Peripheral blood smear: 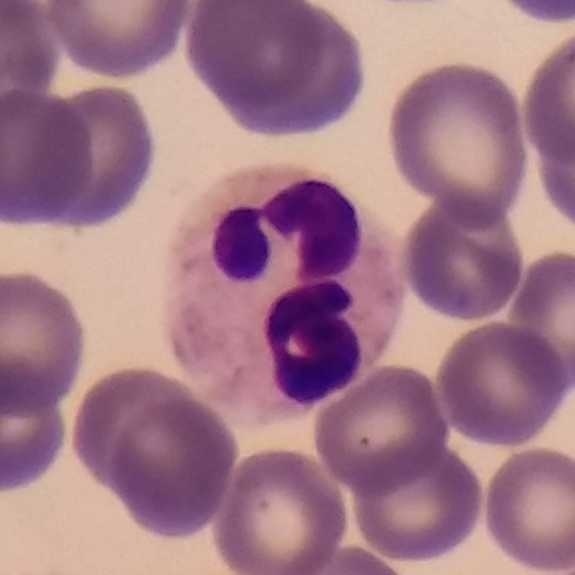 Classification: neutrophil.